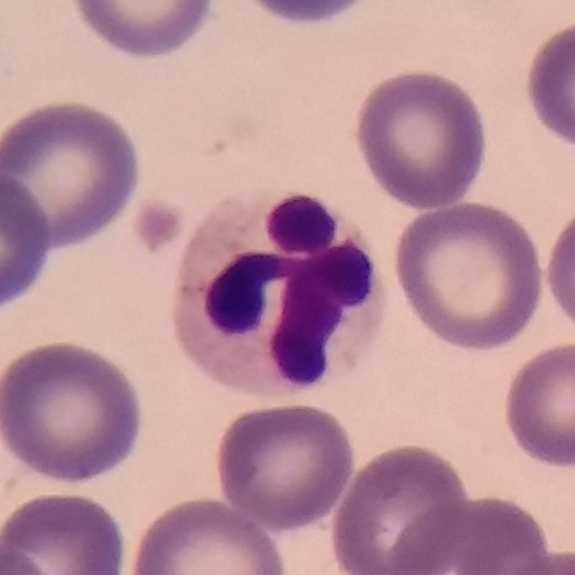
Classification — neutrophilic granulocyte.
Context: Peripheral blood film.